Peripheral blood smear:
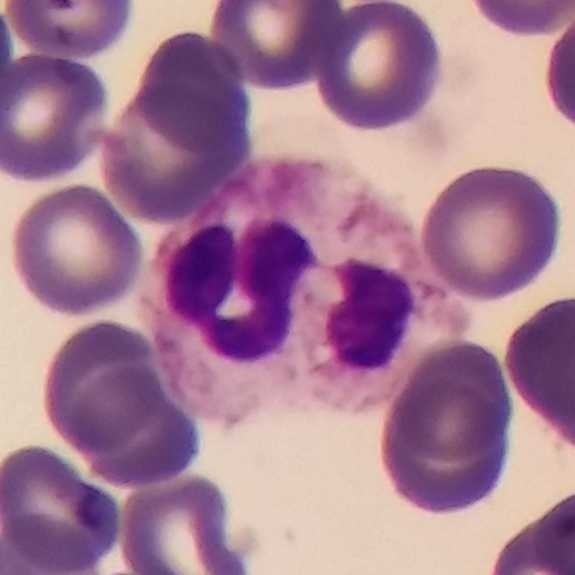{"cell_type": "neutrophilic granulocyte"}